Peripheral blood smear — 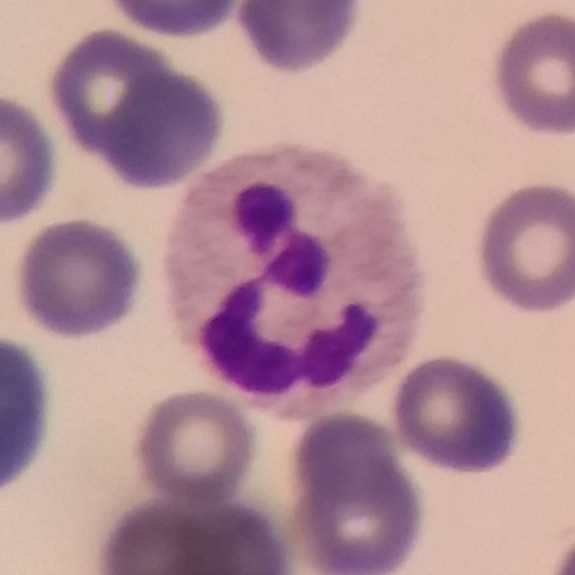Q: Which cell type is shown here?
A: Neutrophilic granulocyte.